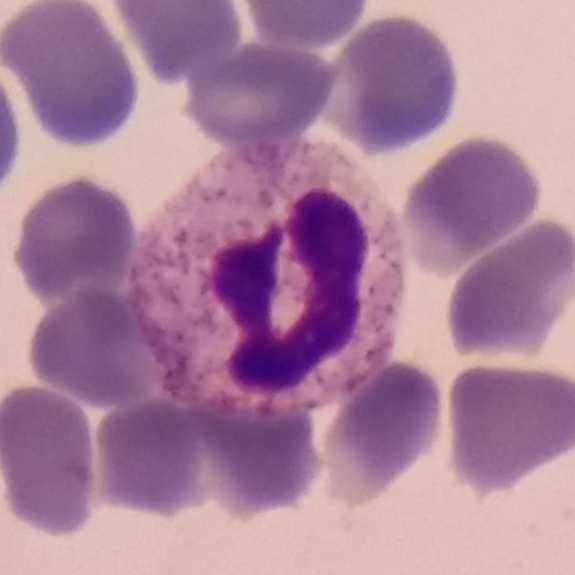
A neutrophil.